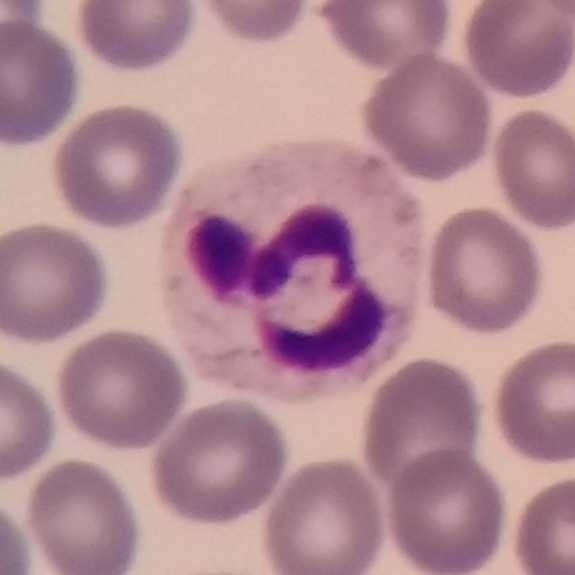

The cell type is neutrophil.
Peripheral blood film.